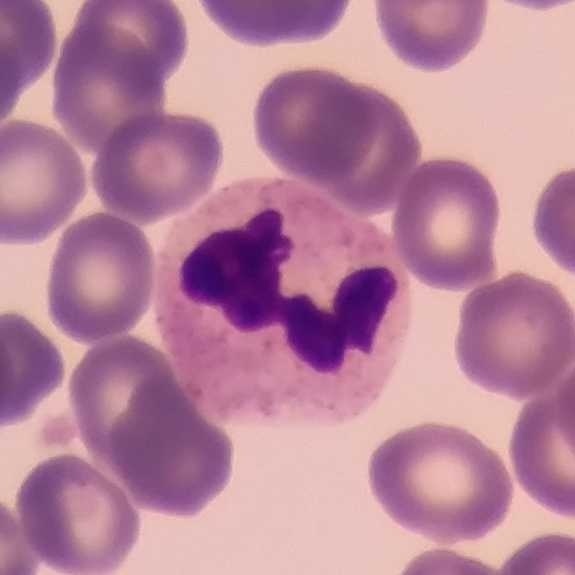 Neutrophilic granulocyte. Context: 100× magnification · image size 575×575 · peripheral blood smear.